Peripheral blood film; phone-camera image taken through the microscope ocular; single white blood cell cropped from the smear photograph — 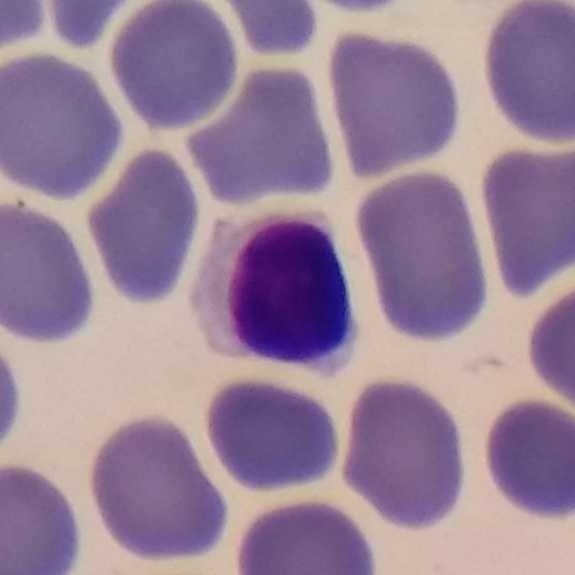 The cell is lymphocyte.